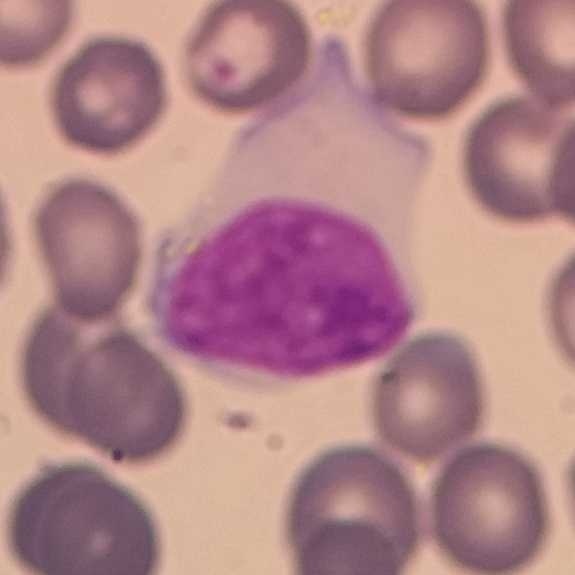Specimen: peripheral blood smear.
White blood cell type: monocyte.
Lineage: myeloid.